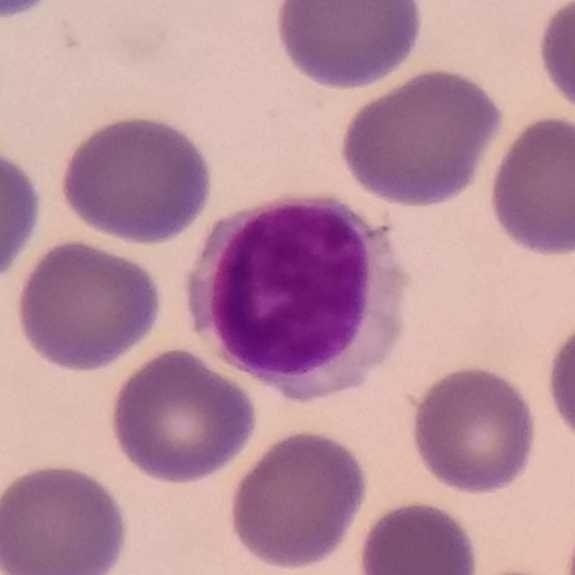Specimen: peripheral blood film.
Cell: lymphocyte.